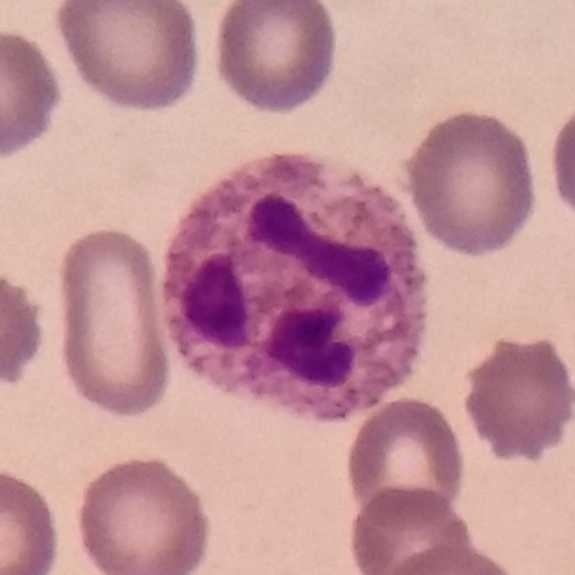
Acquisition: Peripheral blood film. Single cell identified as a neutrophilic granulocyte.